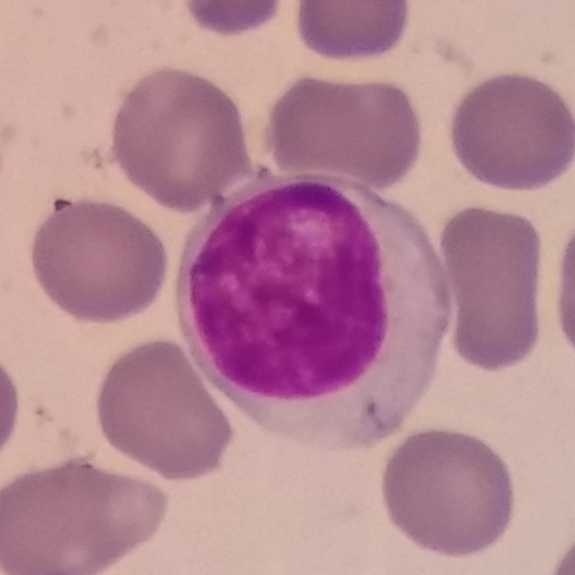
Impression — lymphocyte.
Acquisition: Peripheral blood film.